Peripheral blood film. Giemsa-stained. Cropped to one leukocyte: 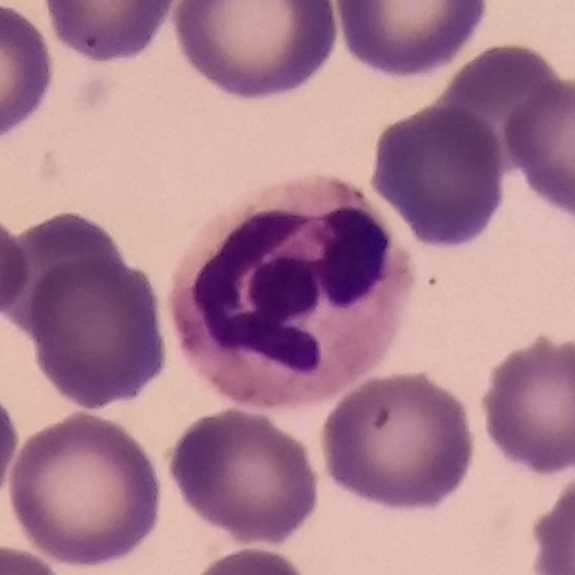
Morphological class: neutrophilic granulocyte.